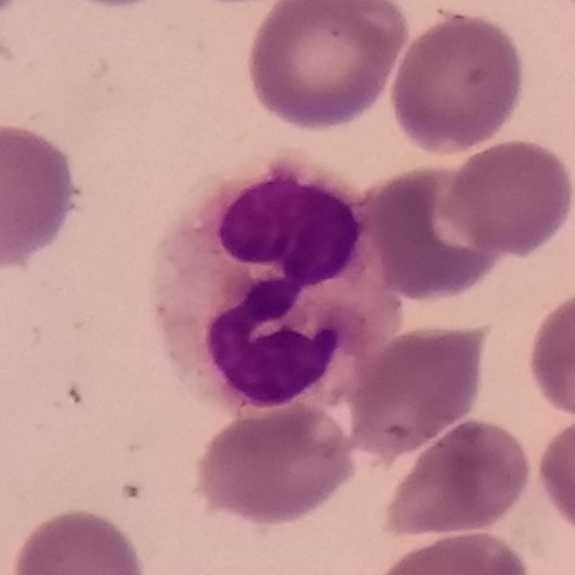 Impression — neutrophilic granulocyte. Peripheral blood smear · single-cell field.